Peripheral blood film. Smartphone photomicrograph:
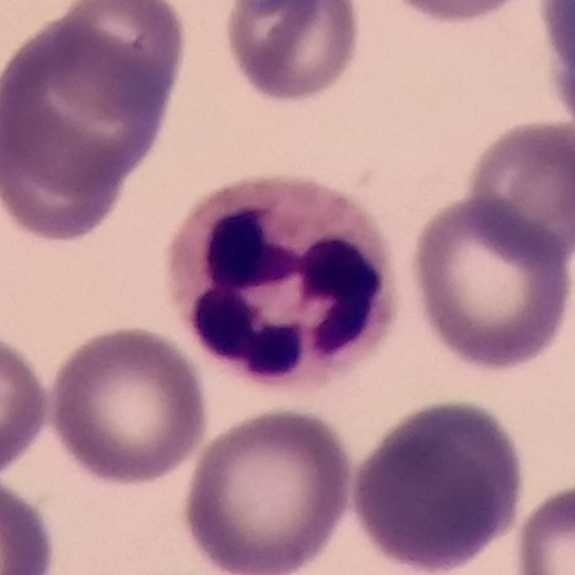
Single cell identified as a neutrophil granulocyte.